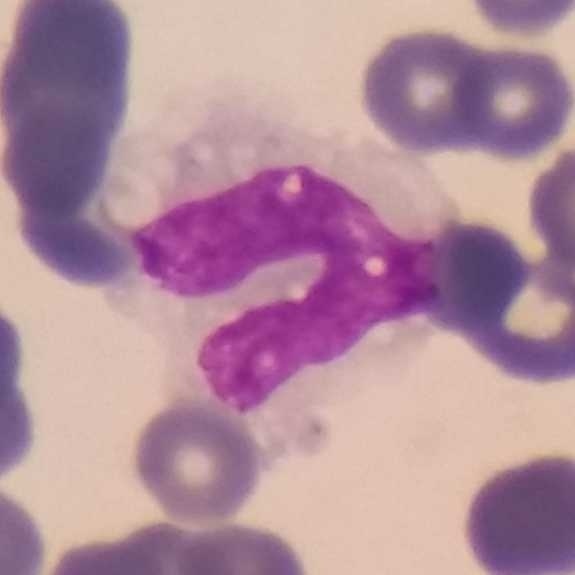 Classification: monocyte.
575×575 px. Peripheral blood film.